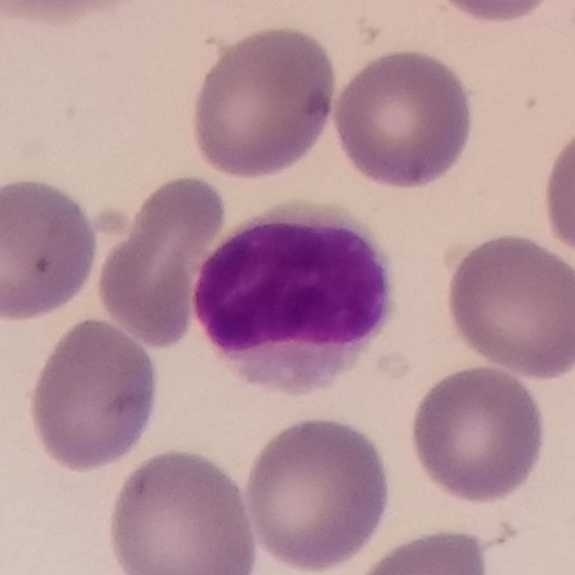

Q: What cell is this?
A: It is a lymphocyte. Image: Image size 575×575; peripheral blood film.